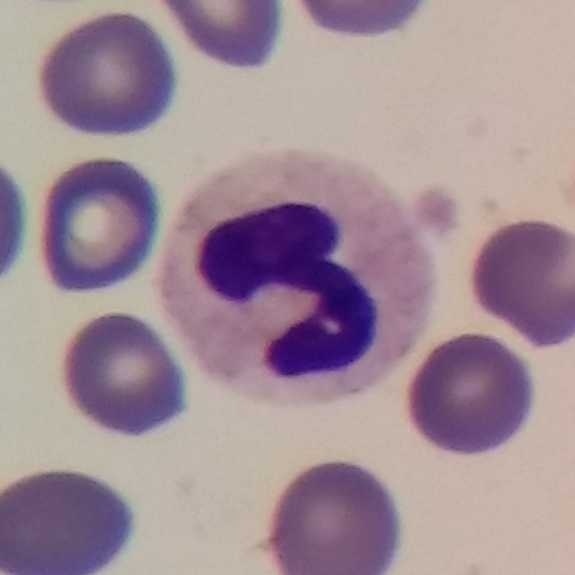 Classification — neutrophil.
Preparation: Peripheral blood smear.